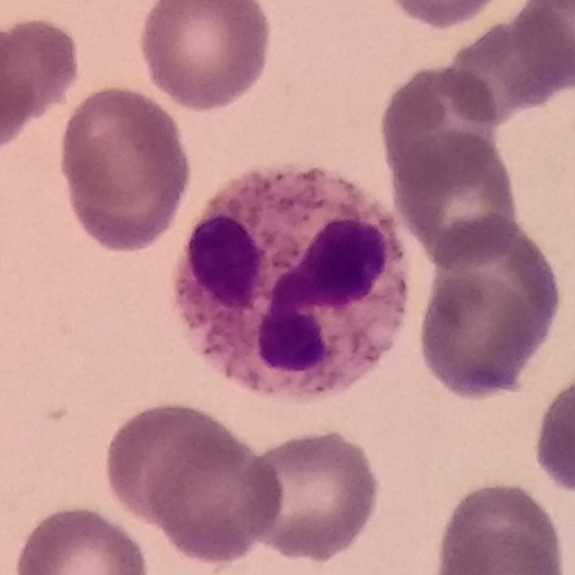Image: Peripheral blood film.
Morphology → neutrophilic granulocyte.